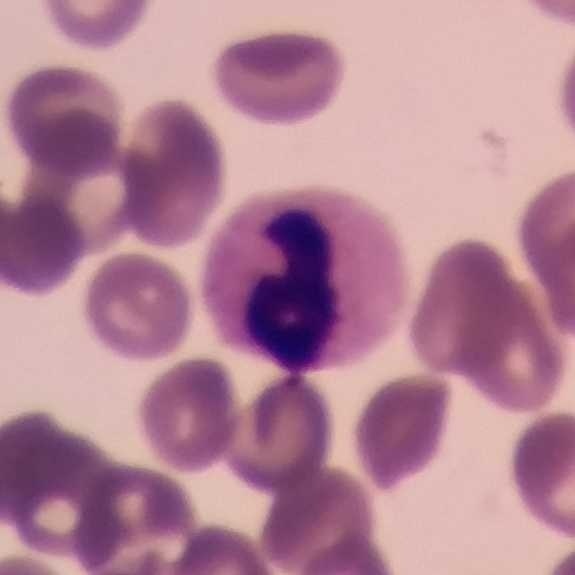

Neutrophil granulocyte.